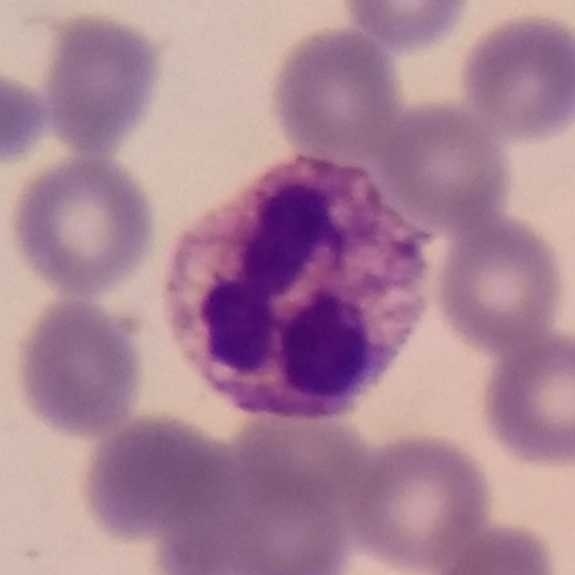Image: Peripheral blood film. 575×575. A neutrophilic granulocyte.